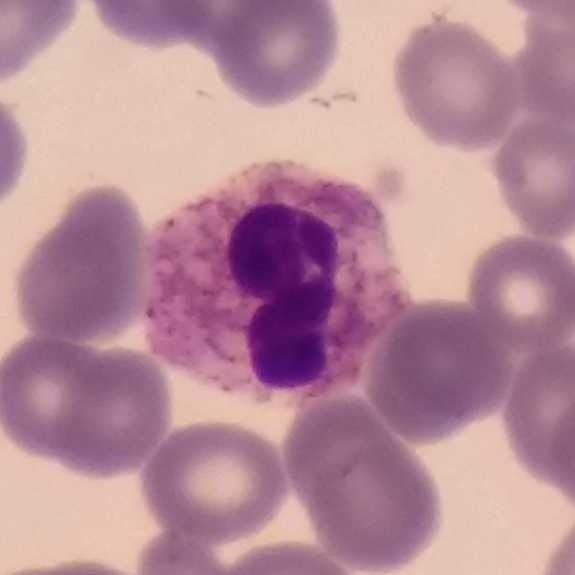 Q: What type of cell is this?
A: A neutrophil.